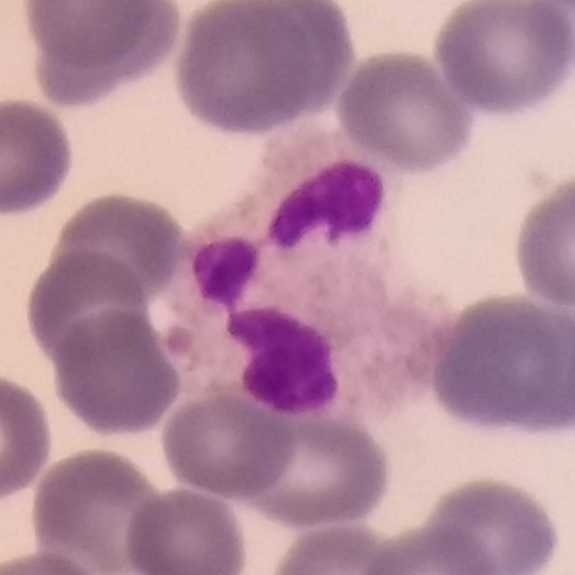Q: Which type of white blood cell is this?
A: It is a neutrophilic granulocyte.